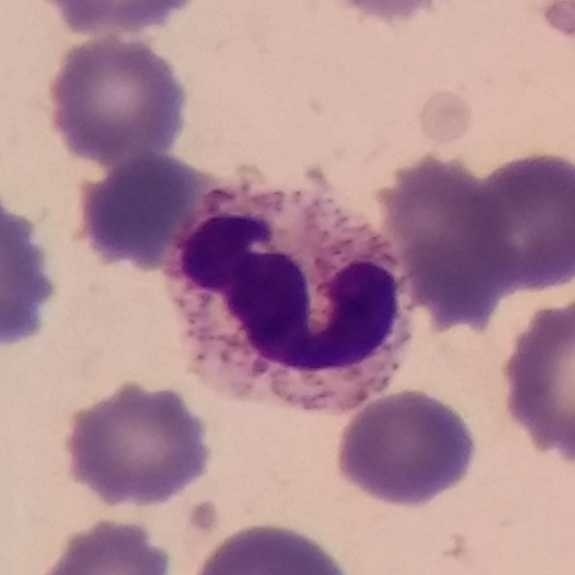
Peripheral blood smear showing a neutrophilic granulocyte.